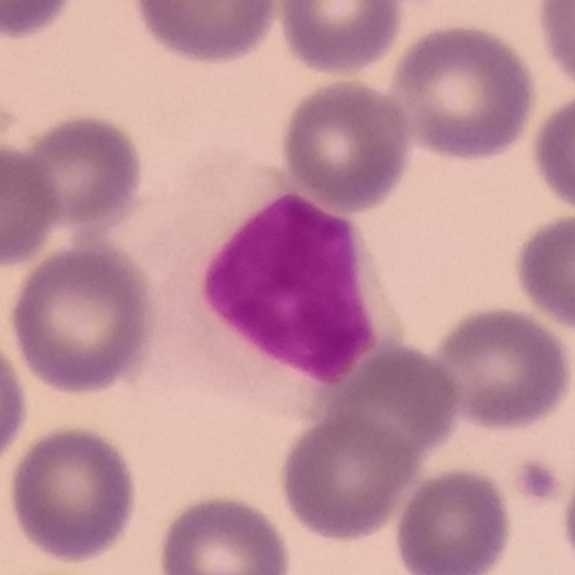
{"cell_type": "lymphocyte", "lineage": "lymphoid"}

Peripheral blood smear · photographed through a light microscope with a smartphone camera.